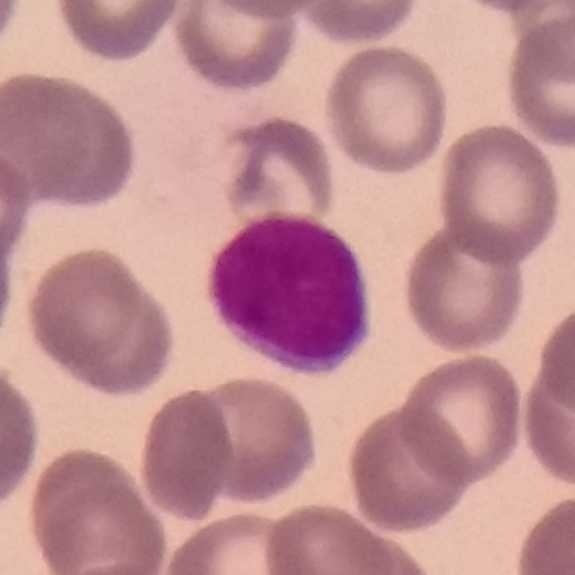
Morphological class: lymphocyte.

Context: Peripheral blood smear · cropped to one leukocyte · 100× magnification.